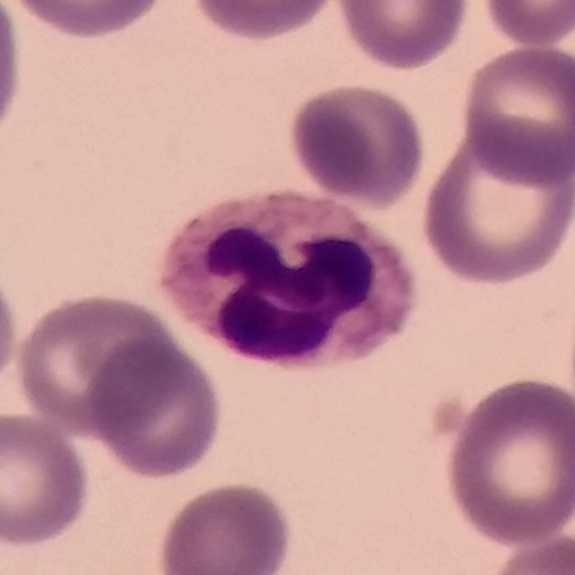
Showing a neutrophil granulocyte.